Peripheral blood smear.
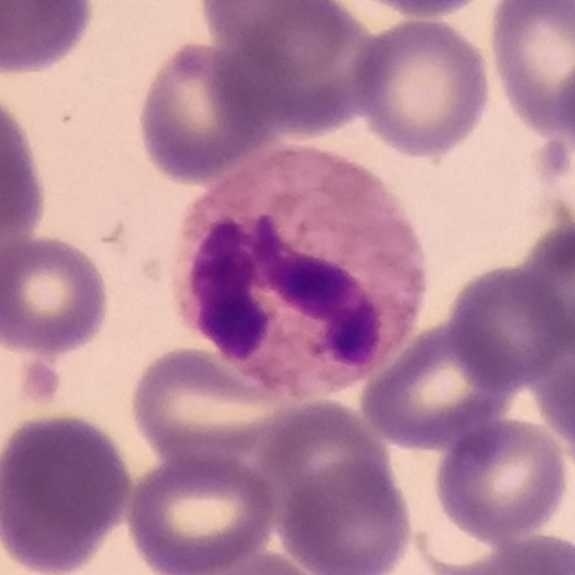Identified as a neutrophil granulocyte.